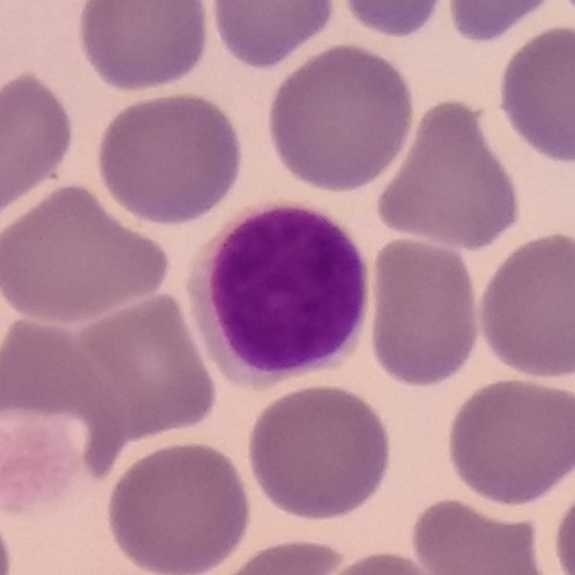

Peripheral blood film, single cell — lymphocyte.